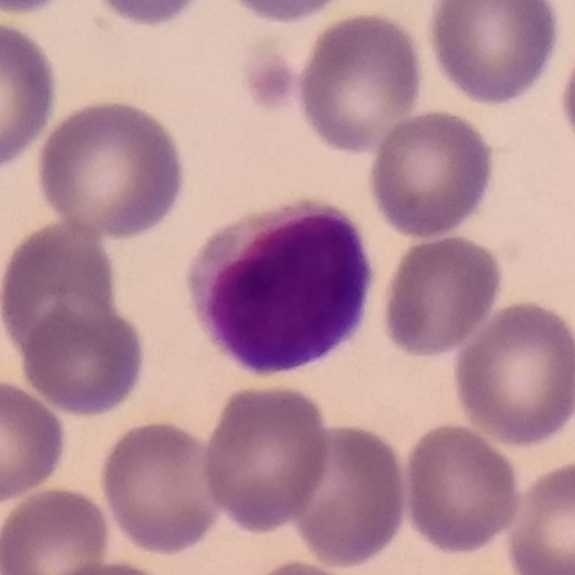 Lymphocyte.